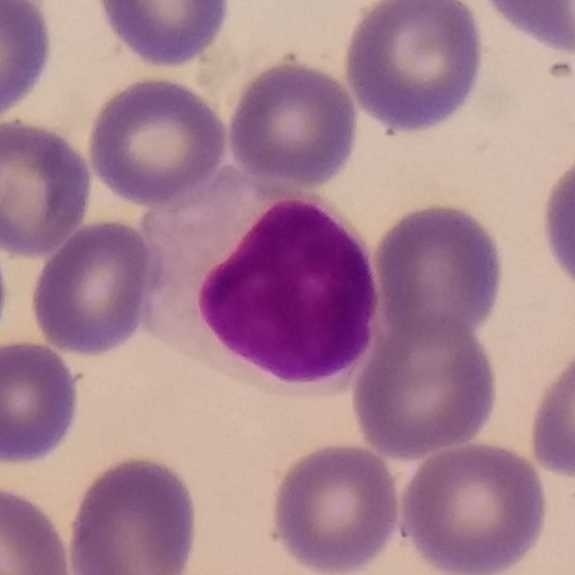 Context: Peripheral blood smear. Giemsa stain.
Showing a lymphocyte.